Peripheral blood film — 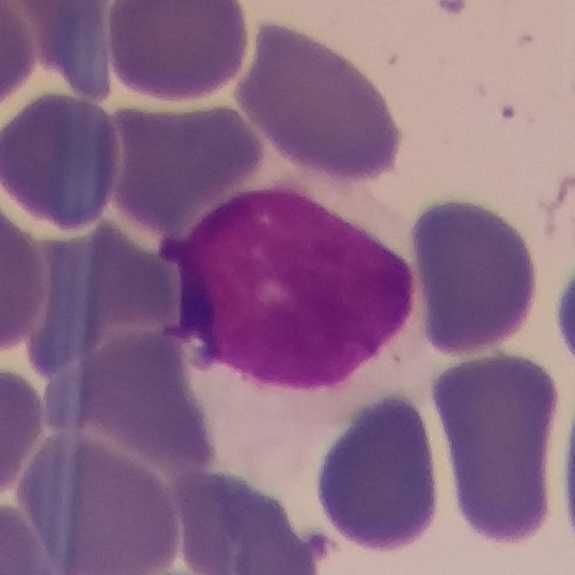 Q: Which type of white blood cell is this?
A: It is a lymphocyte.